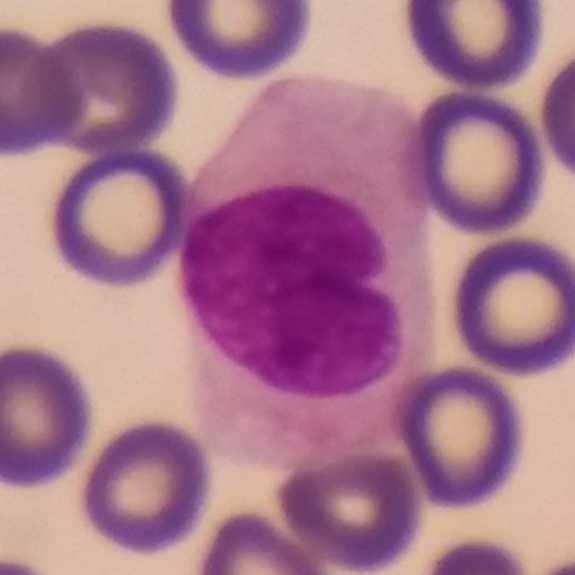

Q: What is the morphological classification of this cell?
A: This is a monocyte.